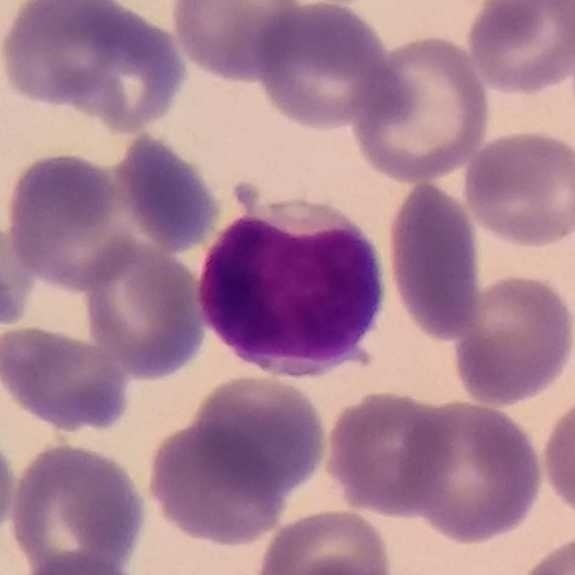

Cell: lymphocyte.